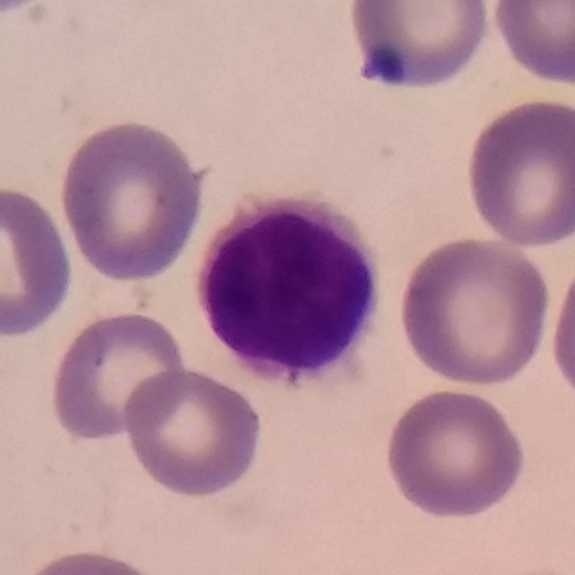

575×575 px · cropped to one leukocyte.
Specimen: peripheral blood smear.
Classification: lymphocyte.